Cropped to one leukocyte; peripheral blood smear; 575 by 575 pixels: 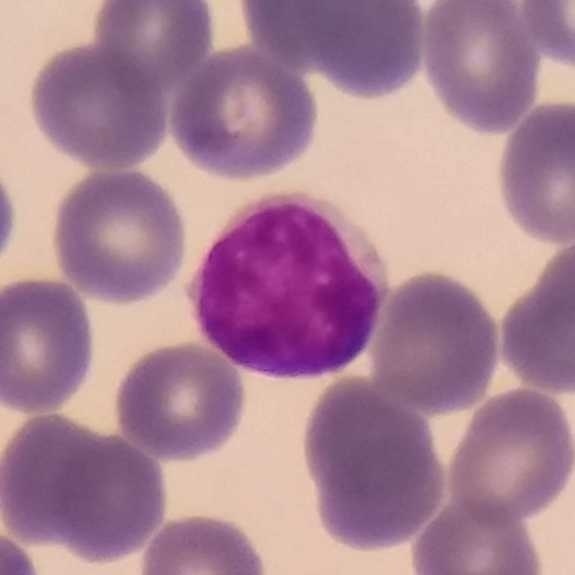
The white blood cell in this image is a lymphocyte.